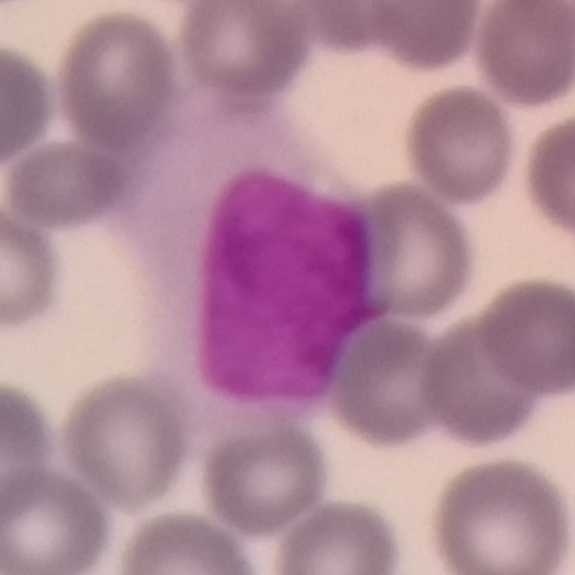Peripheral blood film. Morphology consistent with a lymphocyte.